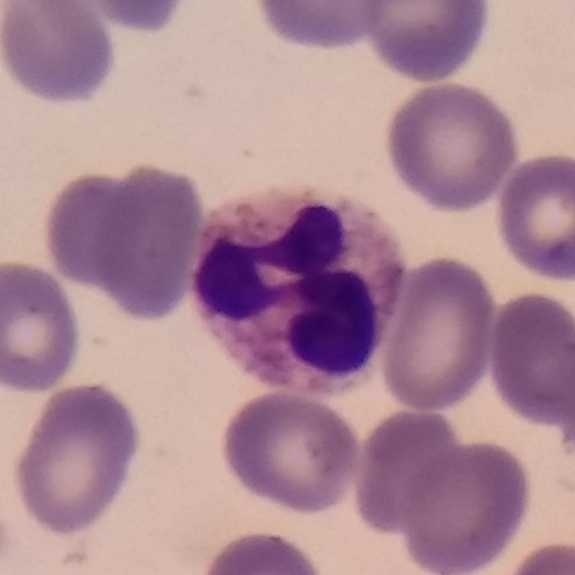
Specimen: peripheral blood smear.
Classification: neutrophil.
Lineage: myeloid.